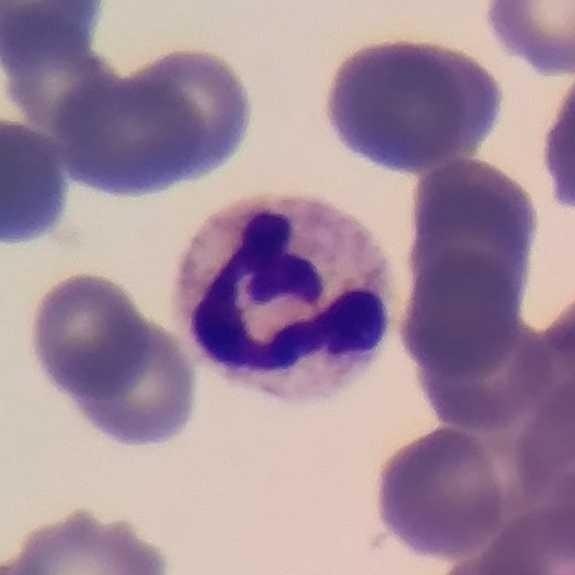Acquisition: 575×575 px · smartphone photomicrograph · peripheral blood film. White blood cell type: neutrophil.